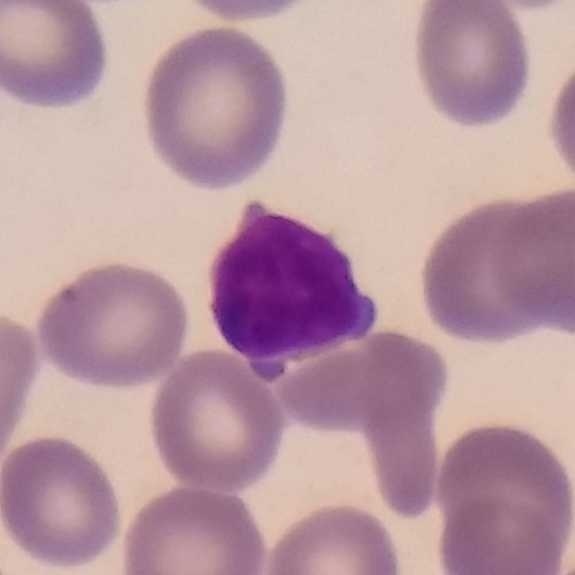Q: Which type of white blood cell is this?
A: Lymphocyte.